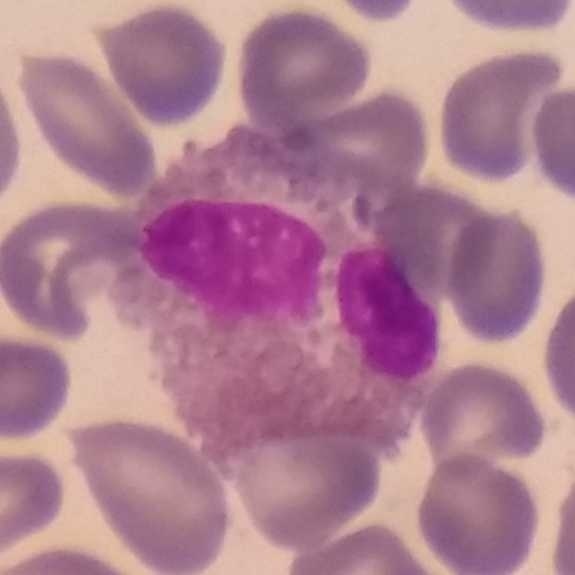

Preparation: Peripheral blood film · cropped to one leukocyte · photographed through a light microscope with a smartphone camera.

Q: Classify this leukocyte.
A: An eosinophil.